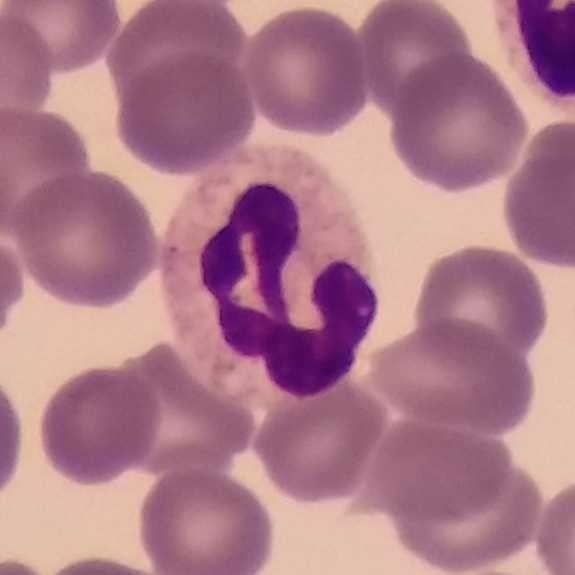 Specimen: peripheral blood smear.
White blood cell type: neutrophil granulocyte.